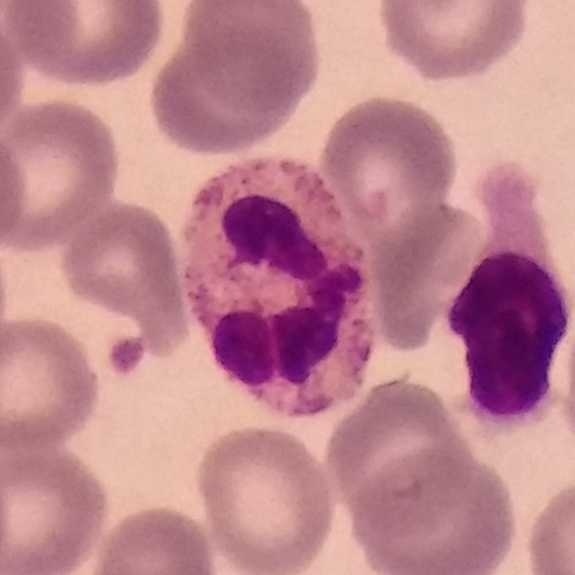

Impression → neutrophil.